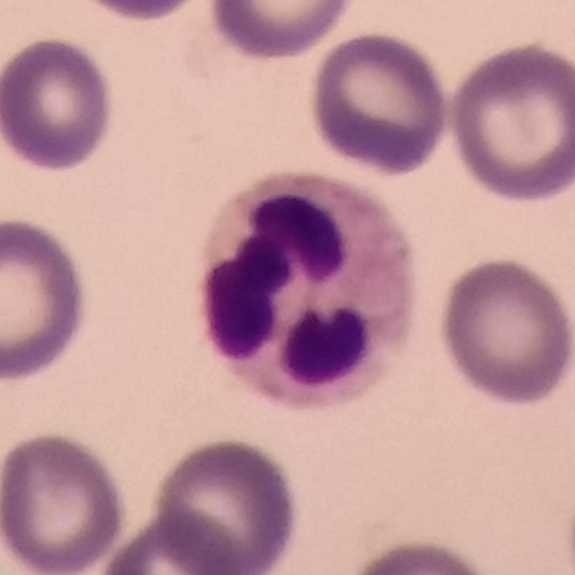 Peripheral blood smear.
The white blood cell type is neutrophil granulocyte.